Peripheral blood smear:
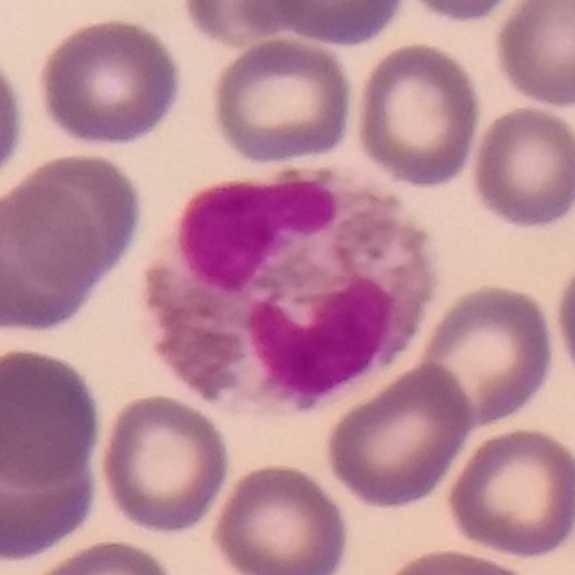
The white blood cell in this image is an eosinophil.